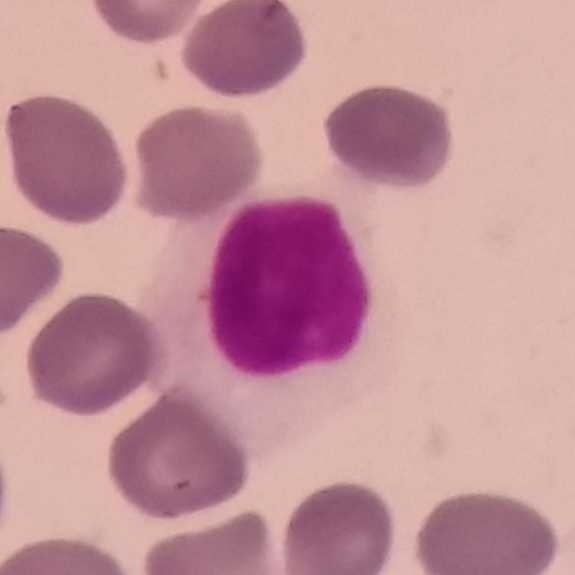
Acquisition: Peripheral blood film. 100× magnification. Giemsa-stained. A lymphocyte.